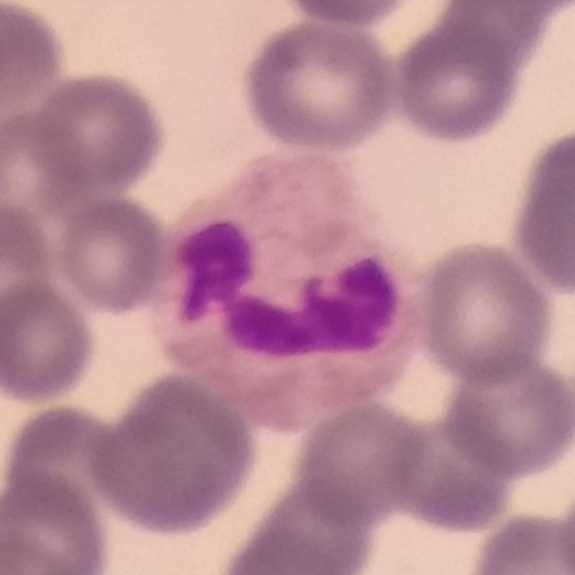Showing a neutrophil granulocyte.

Acquisition: Peripheral blood film.